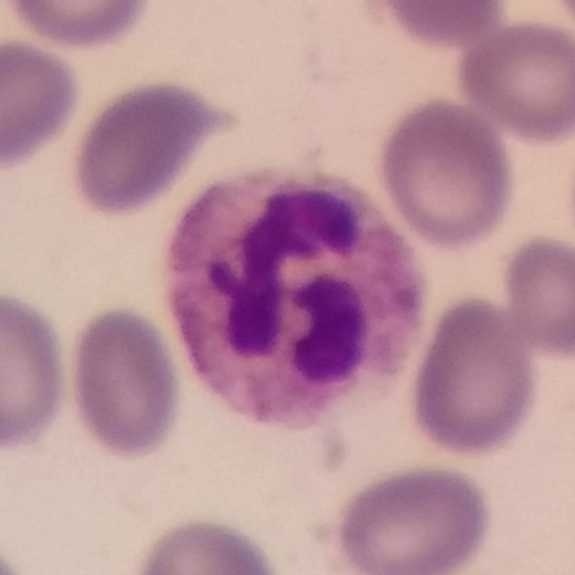Peripheral blood smear; cropped to one leukocyte.
{"cell_type": "neutrophil granulocyte", "lineage": "myeloid"}